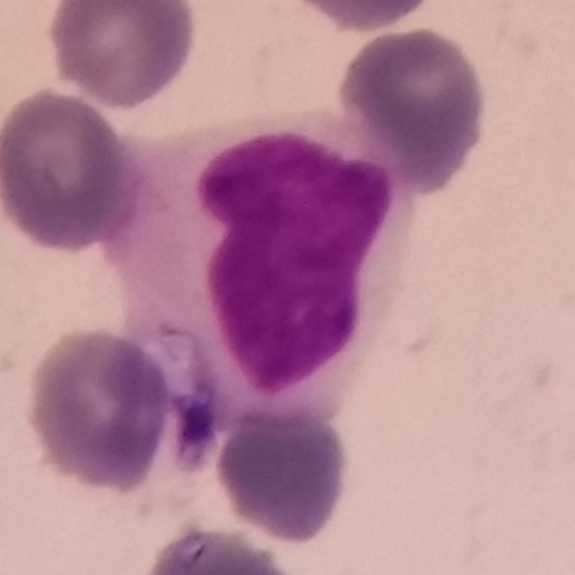
The white blood cell in this image is a monocyte.

575 by 575 pixels · phone-camera image taken through the microscope ocular · peripheral blood smear.